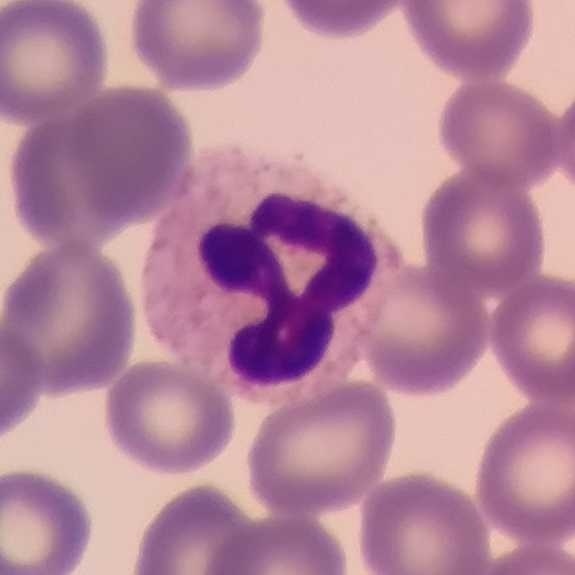

Cell type — neutrophil granulocyte.